Peripheral blood smear — 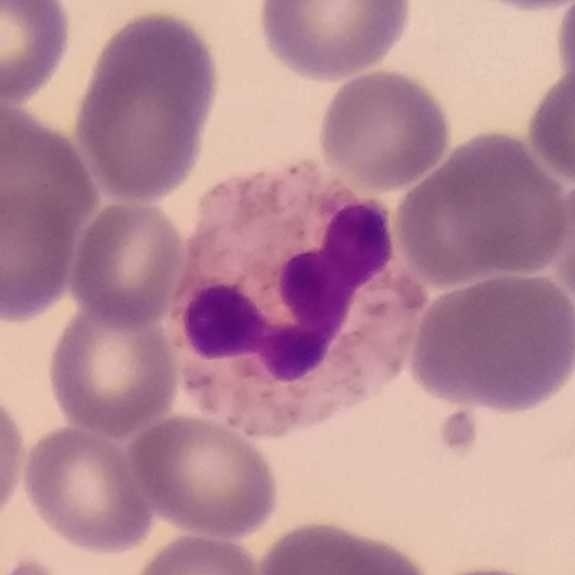

{"cell_type": "neutrophilic granulocyte"}